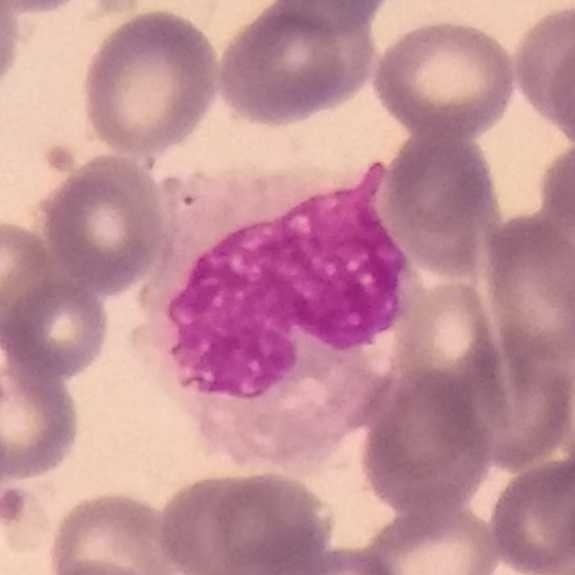 Cell type — monocyte.